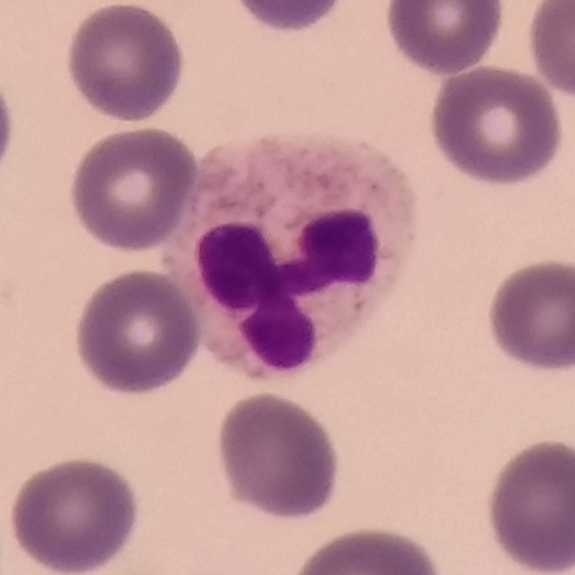 {"cell_type": "neutrophil", "lineage": "myeloid"}
Preparation: Peripheral blood smear · photographed through a light microscope with a smartphone camera.